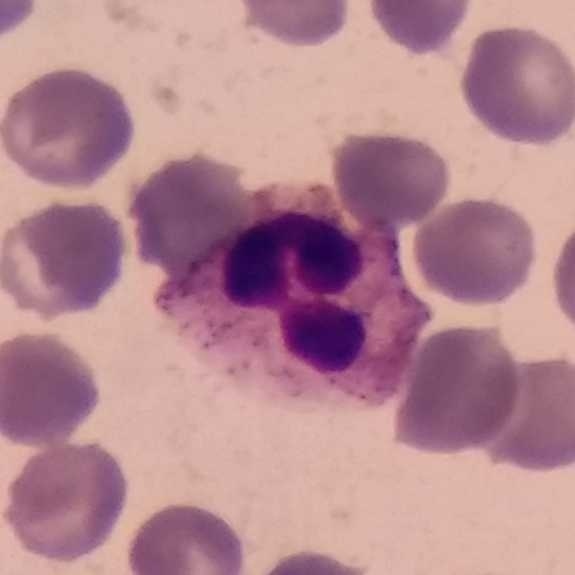
The white blood cell in this image is a neutrophil. Context: Phone-camera image taken through the microscope ocular. Peripheral blood film.